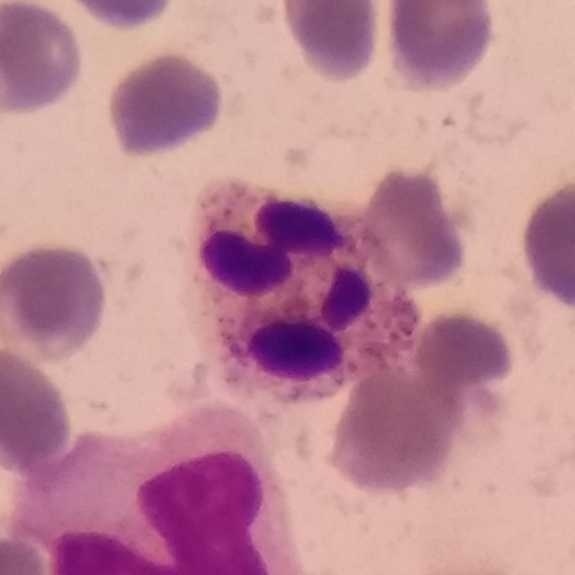Specimen: peripheral blood smear.
Morphological class: neutrophilic granulocyte.